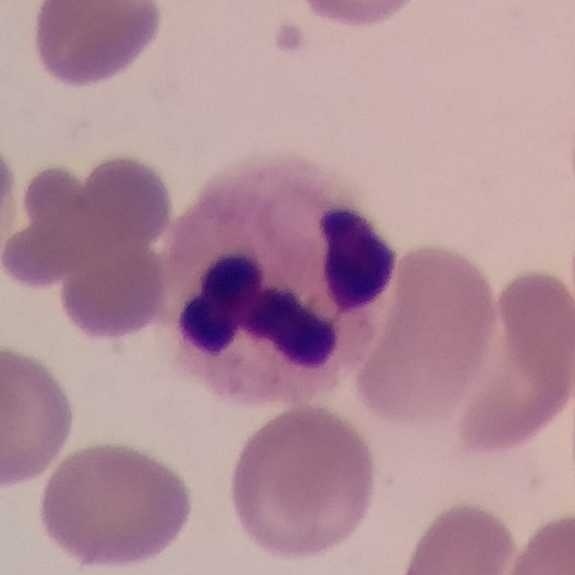 Cell: neutrophil granulocyte. Acquisition: Giemsa stain. Peripheral blood film.